Peripheral blood film: 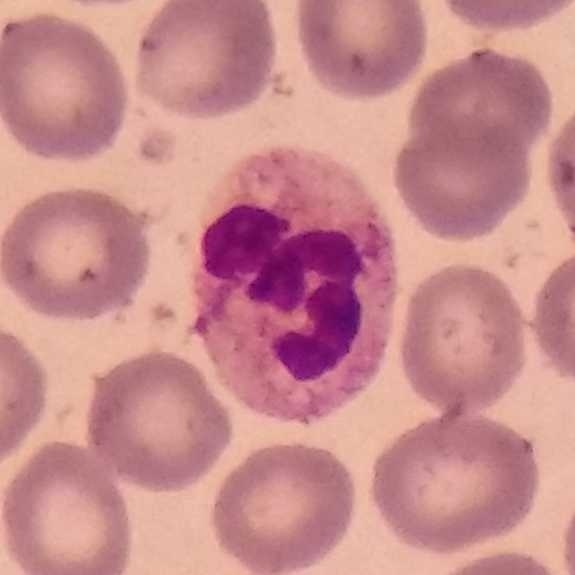 The white blood cell in this image is a neutrophil granulocyte.